Peripheral blood smear — 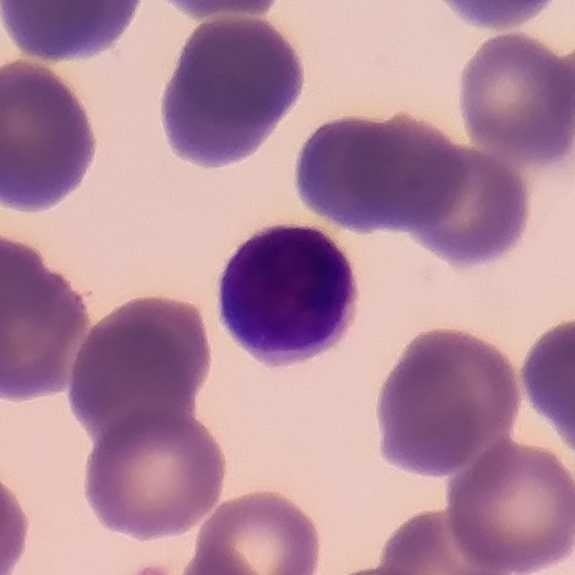 Morphological class = lymphocyte.